Peripheral blood film — 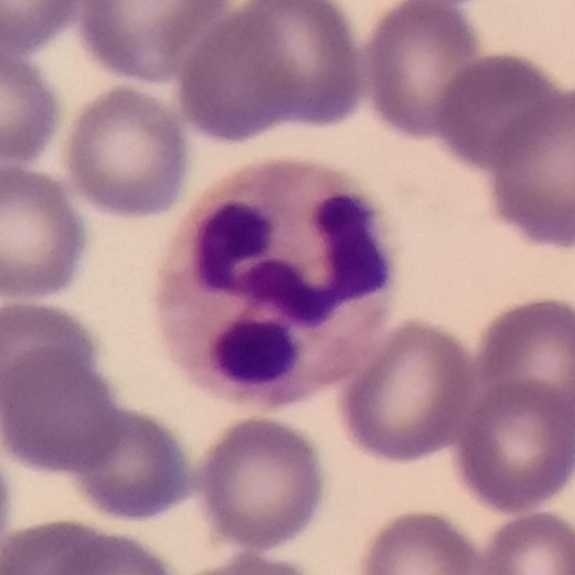 Specimen: peripheral blood smear.
Classification: neutrophil.
Lineage: myeloid.